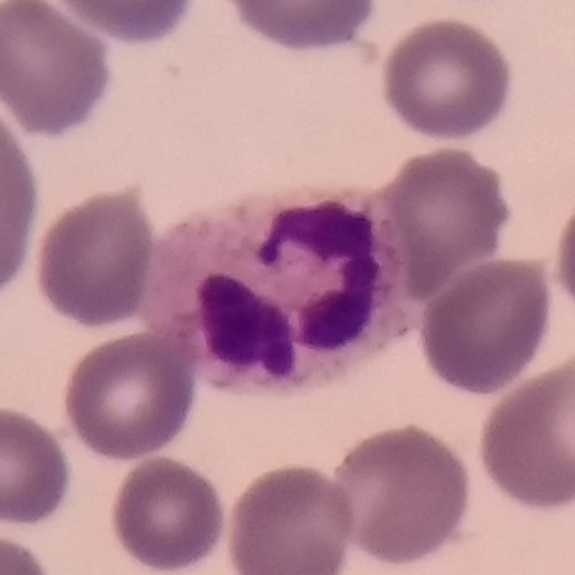
White blood cell type — neutrophilic granulocyte. Image: Peripheral blood smear · cropped to one leukocyte · smartphone photomicrograph.